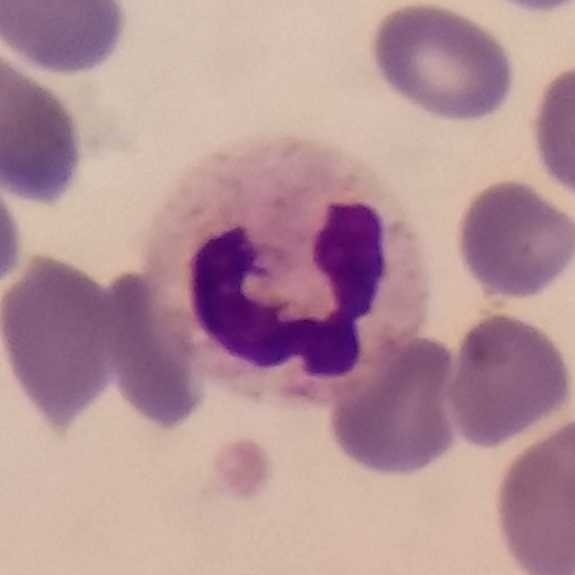 Context: Single-cell crop. Peripheral blood film. White blood cell type: neutrophilic granulocyte.